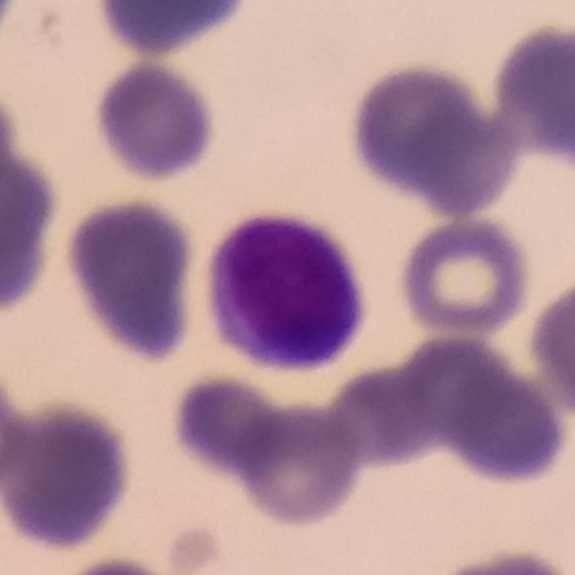
Classification — lymphocyte.
Image: Peripheral blood smear · imaged at 100×.